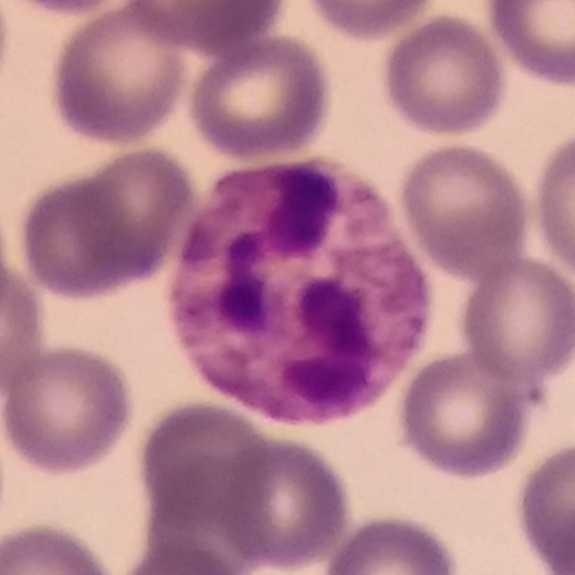
The cell shown is a neutrophilic granulocyte.